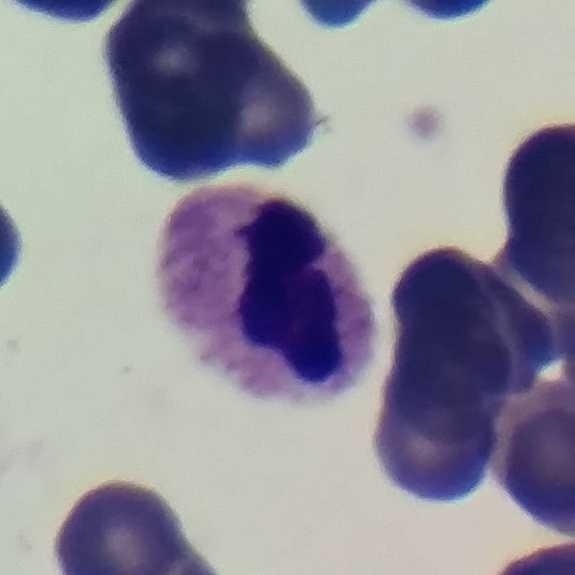Image: Peripheral blood smear.

Showing a neutrophilic granulocyte.